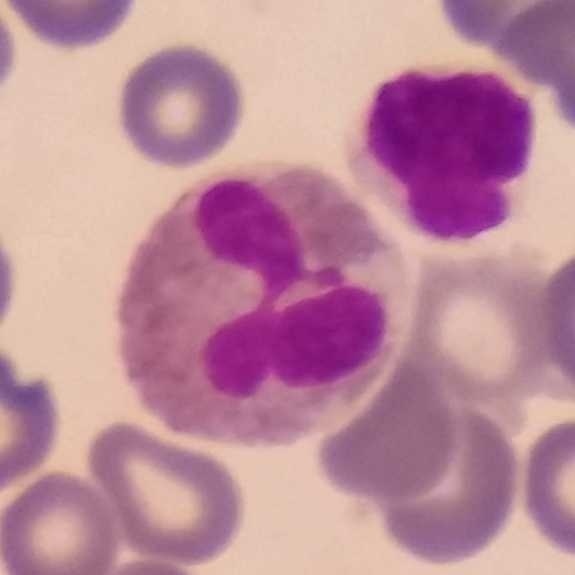Morphology — eosinophilic granulocyte.
Image: Peripheral blood film; 100× magnification.